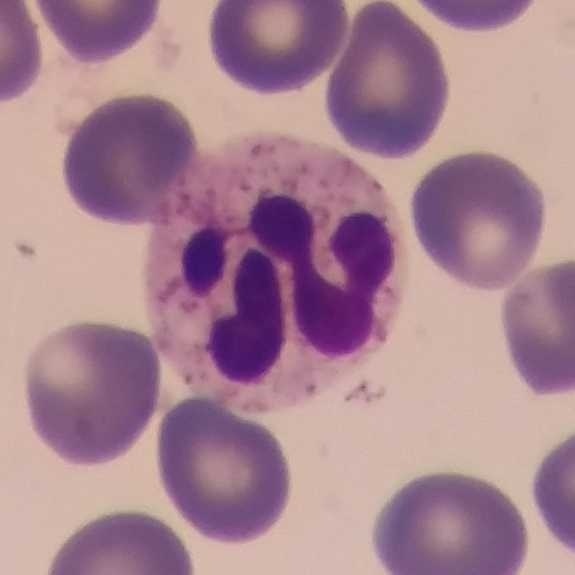 Showing a neutrophil.
Image: Peripheral blood smear. Stained with Giemsa.